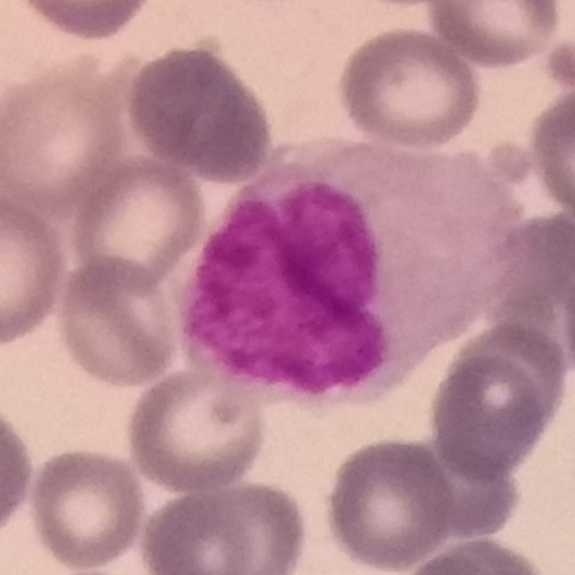

Preparation: Peripheral blood film · 575 by 575 pixels. Single cell identified as a monocyte.